575×575 px; peripheral blood smear.
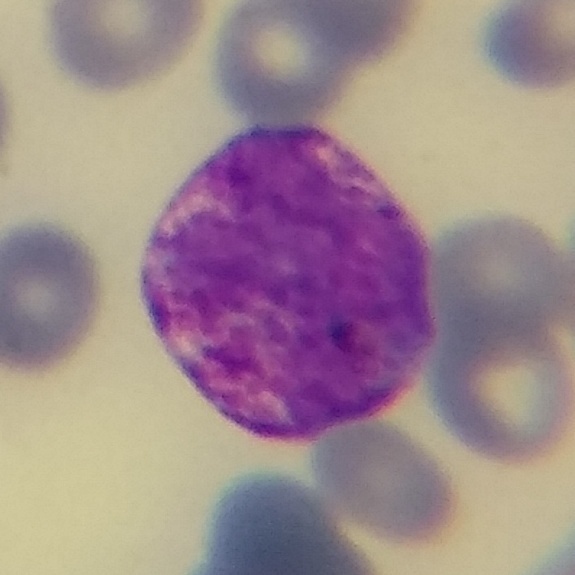

{"cell_type": "basophil"}